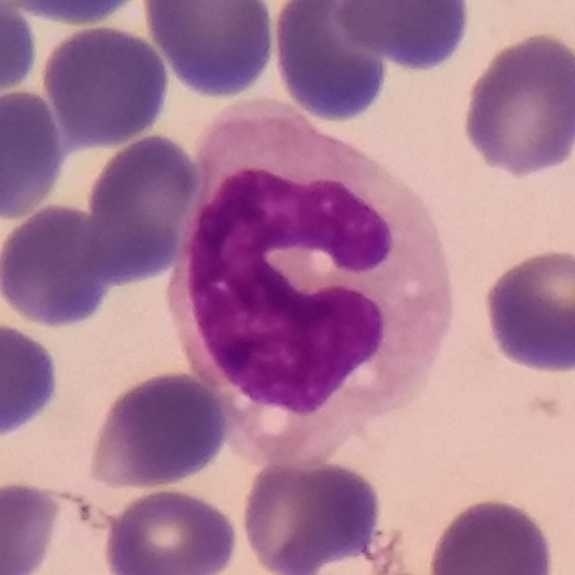Identified as a monocyte.

Peripheral blood film.